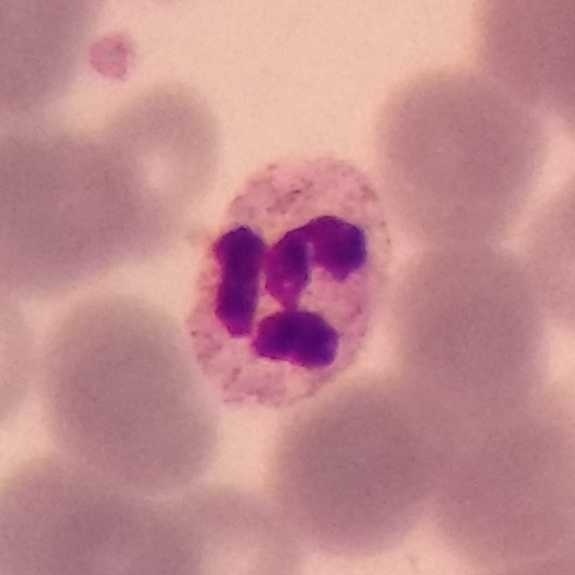 Preparation: Single white blood cell cropped from the smear photograph · smartphone camera mounted on the microscope eyepiece · peripheral blood film.

Cell = neutrophilic granulocyte.